Peripheral blood film; image size 575×575; magnification 100×: 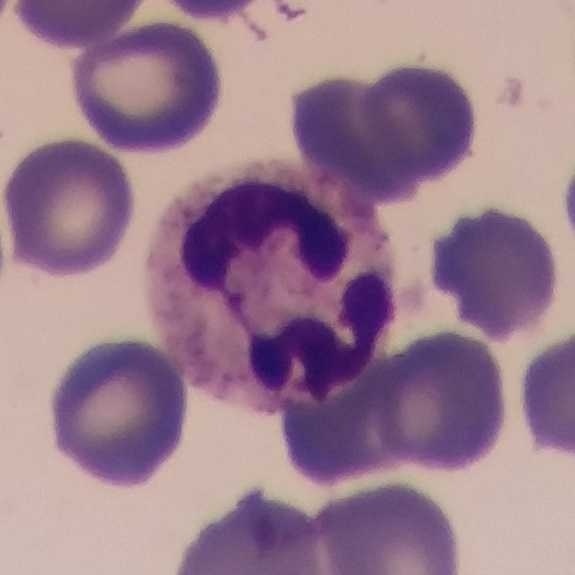{"cell_type": "neutrophil", "lineage": "myeloid"}